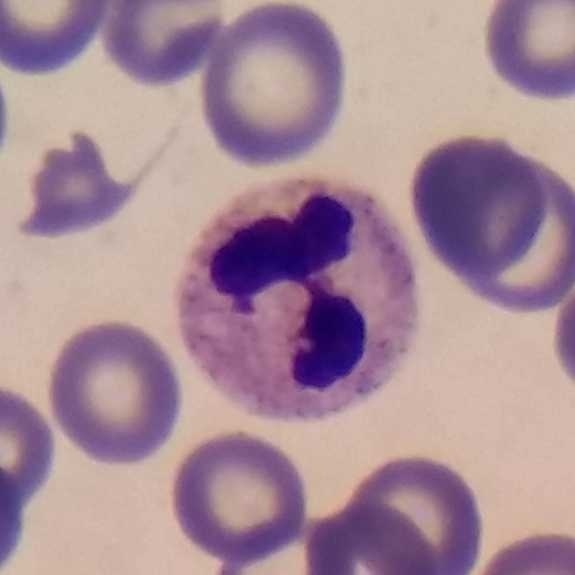The cell shown is a neutrophilic granulocyte.